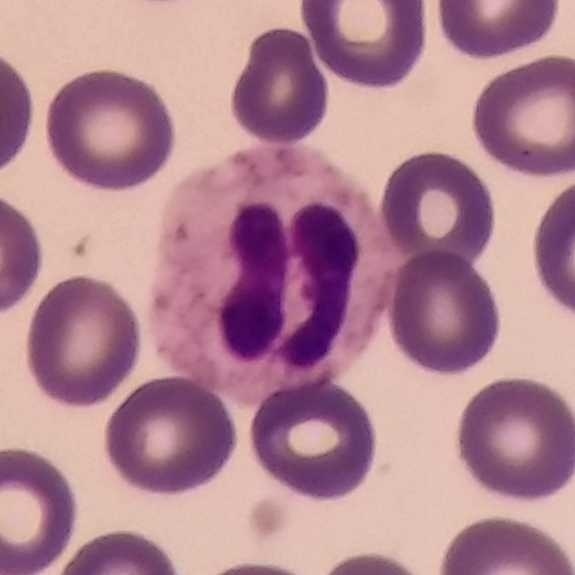 Acquisition: Peripheral blood smear; cropped to one leukocyte. Cell type: neutrophil granulocyte.